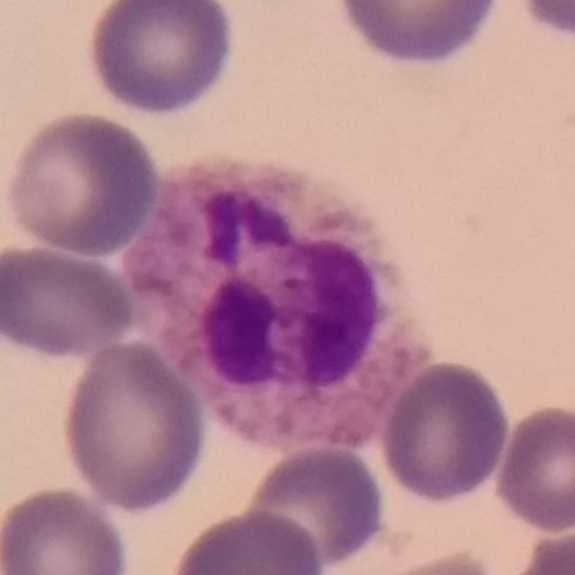Morphology consistent with a neutrophil.